Peripheral blood film:
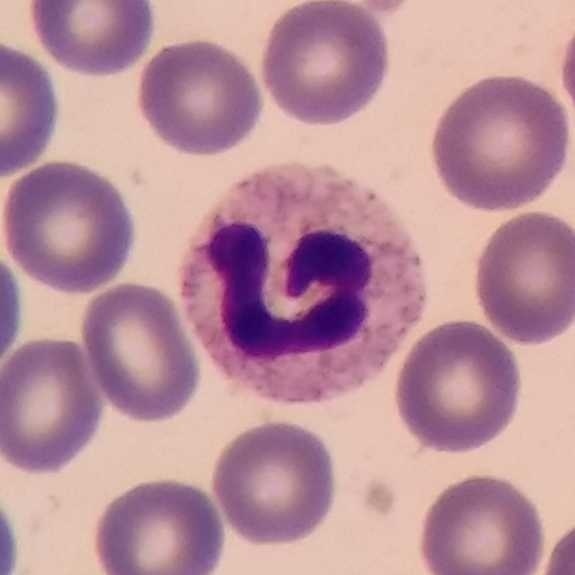Impression — neutrophil granulocyte.